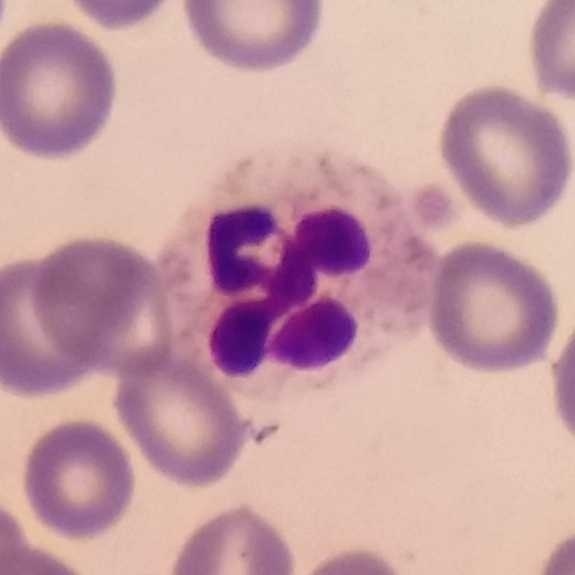 The classification is neutrophil granulocyte. Image: Peripheral blood smear.